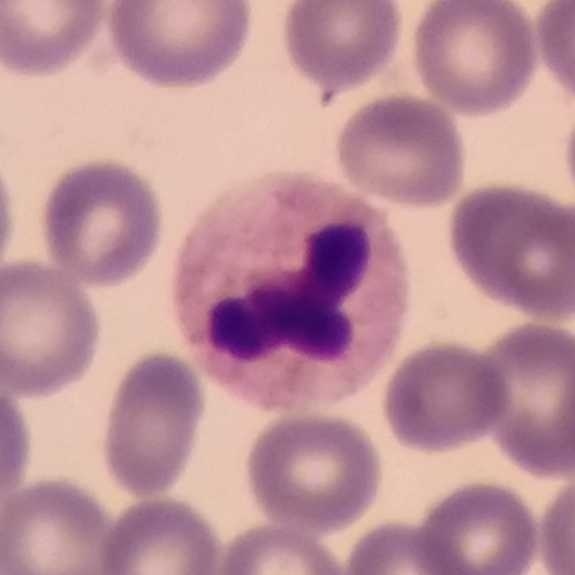
The cell type is neutrophil granulocyte.

Context: Peripheral blood smear.